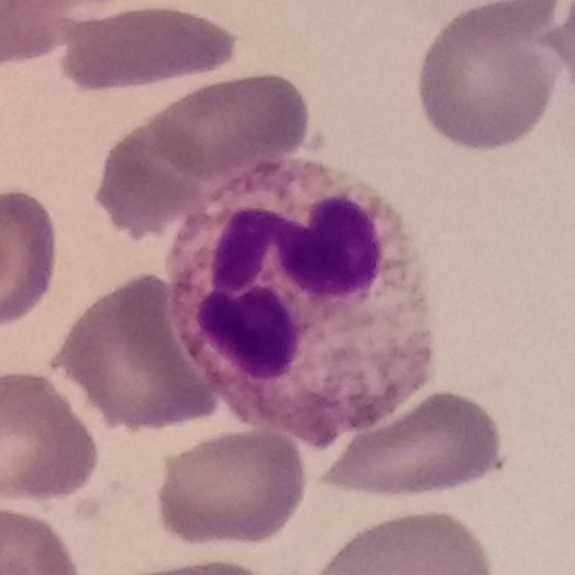
Impression → neutrophil. Stained with Giemsa. Peripheral blood film. 575×575 px.